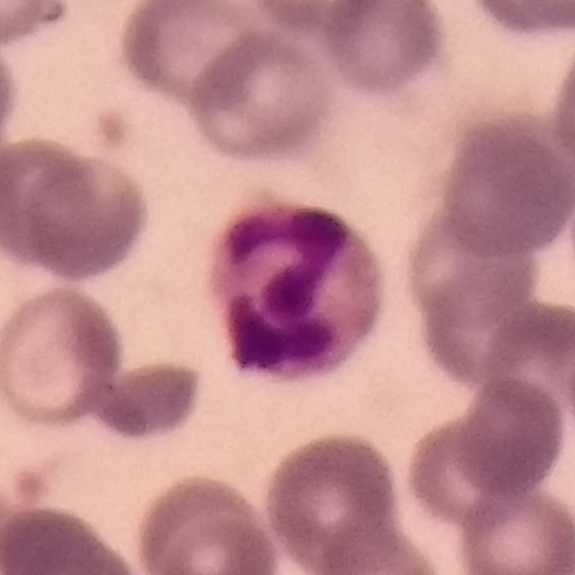 Morphological class — neutrophil granulocyte.